Peripheral blood film.
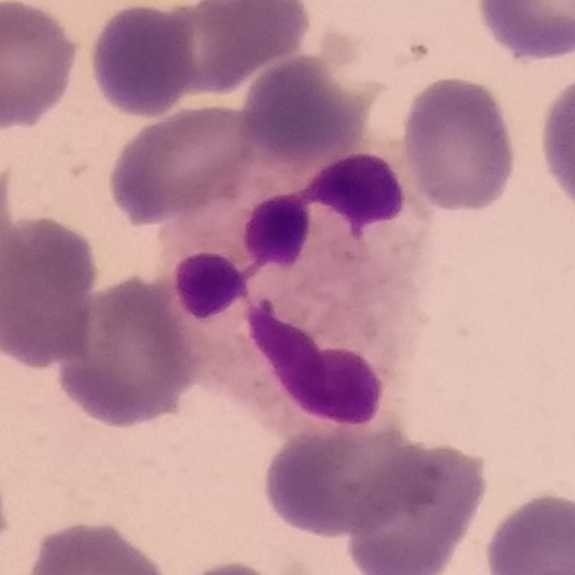White blood cell type = neutrophil granulocyte.